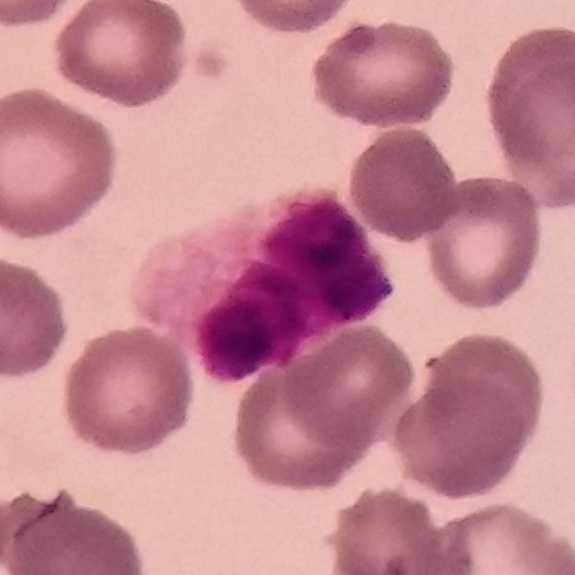 Preparation: Peripheral blood smear. 575×575 px. Phone-camera image taken through the microscope ocular.

Morphology consistent with a neutrophilic granulocyte.